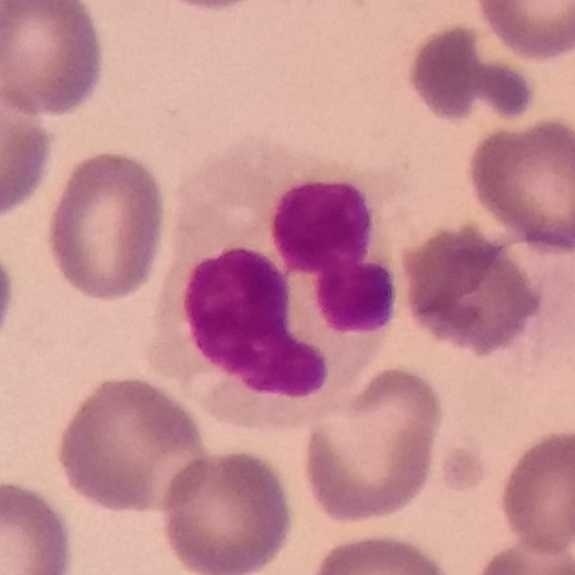

Q: What is shown here?
A: A monocyte.

Image size 575×575. Peripheral blood film.